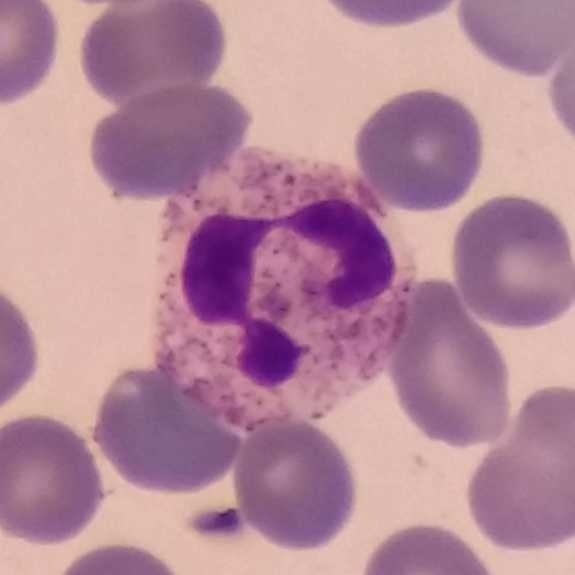Impression → neutrophil.
Giemsa-stained; peripheral blood smear; photographed through a light microscope with a smartphone camera.